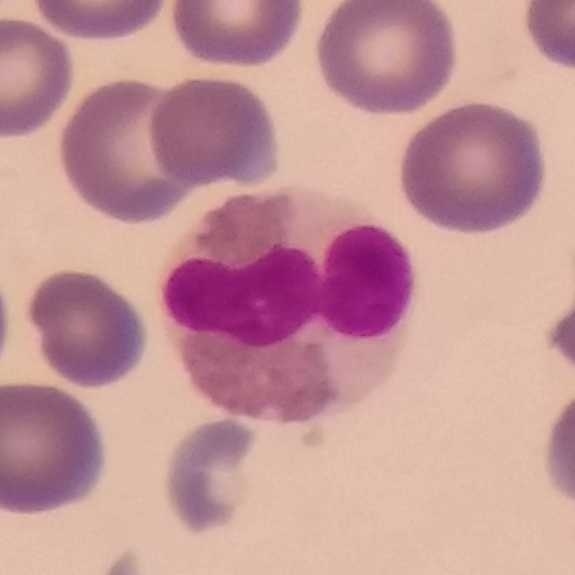

An eosinophilic granulocyte.